Peripheral blood smear:
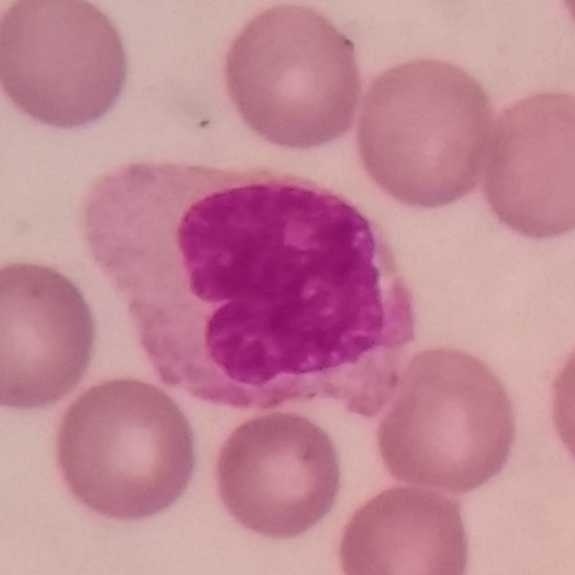
The cell is monocyte.